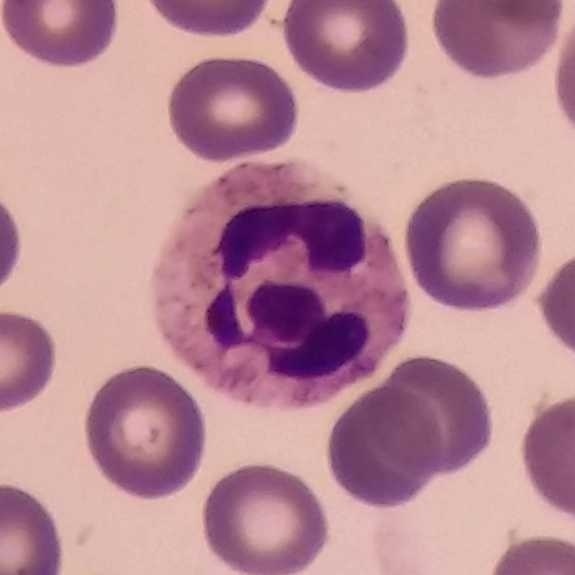

This is a neutrophil granulocyte.
Image: Peripheral blood smear.